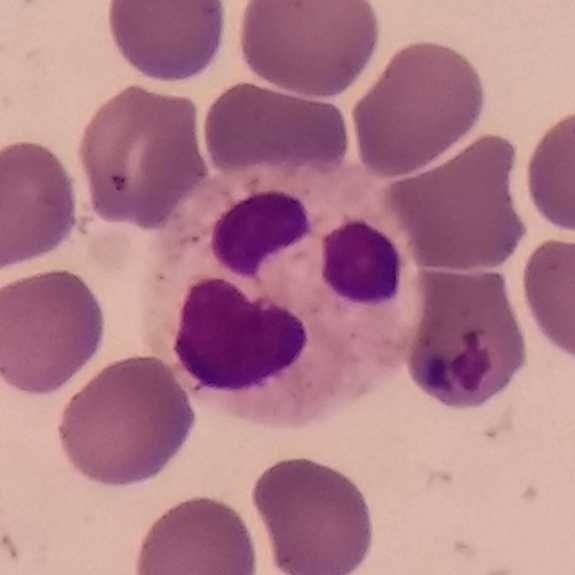 White blood cell type = neutrophil.